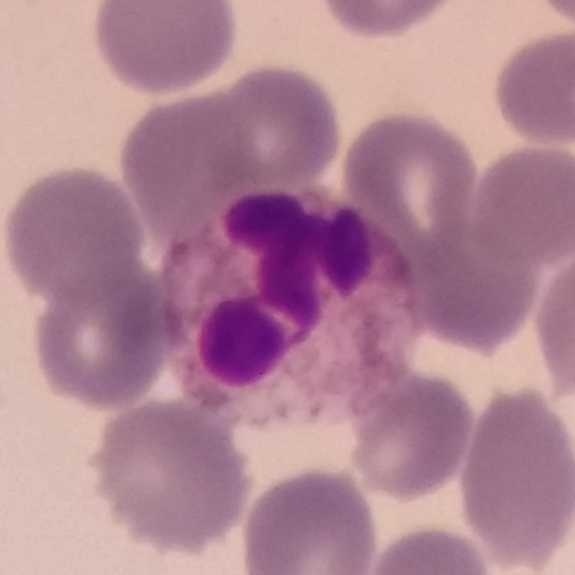
The classification is neutrophil.

Peripheral blood smear.